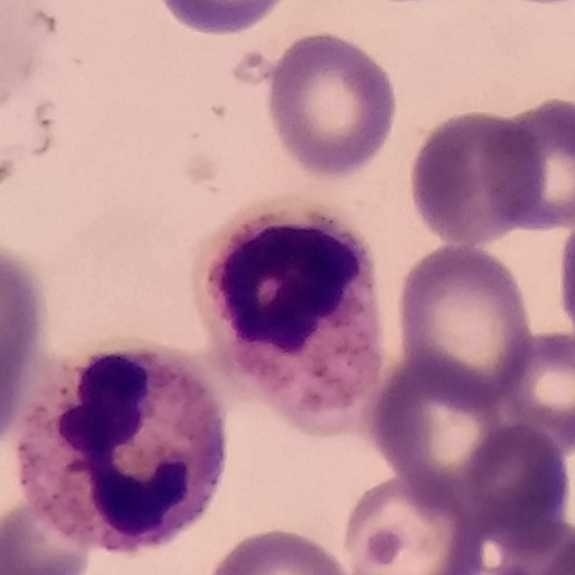Q: Which cell type is shown here?
A: Neutrophilic granulocyte.